Peripheral blood film: 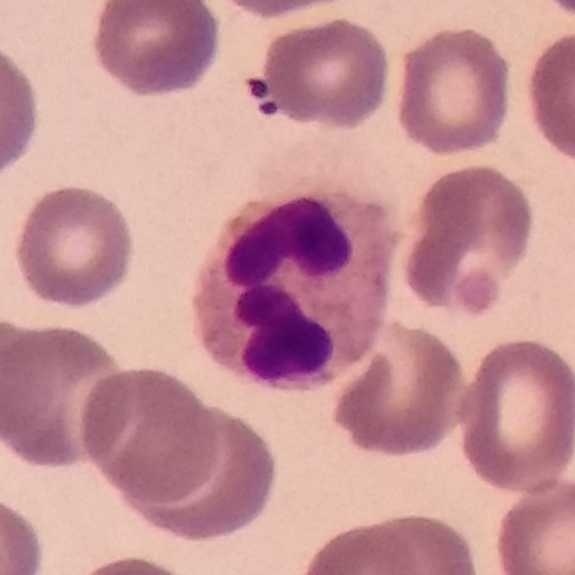
The cell shown is a neutrophil granulocyte.